Peripheral blood film. Stained with Giemsa
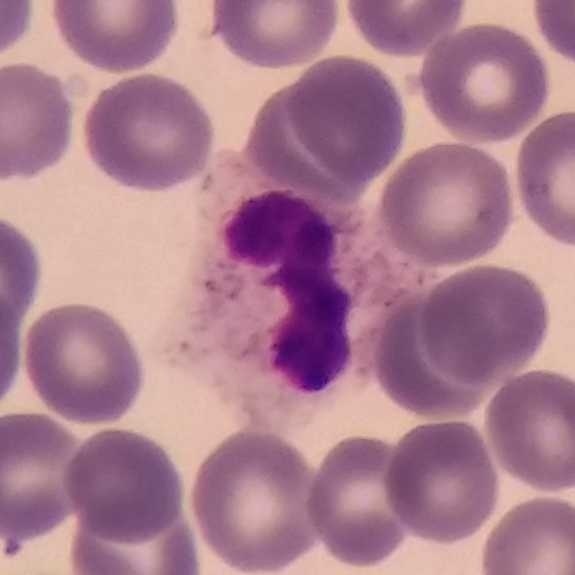
Q: What is shown here?
A: Neutrophilic granulocyte.